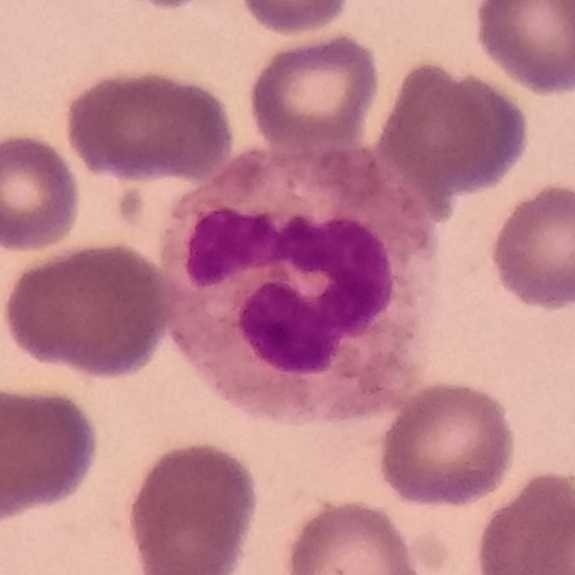
Neutrophil.